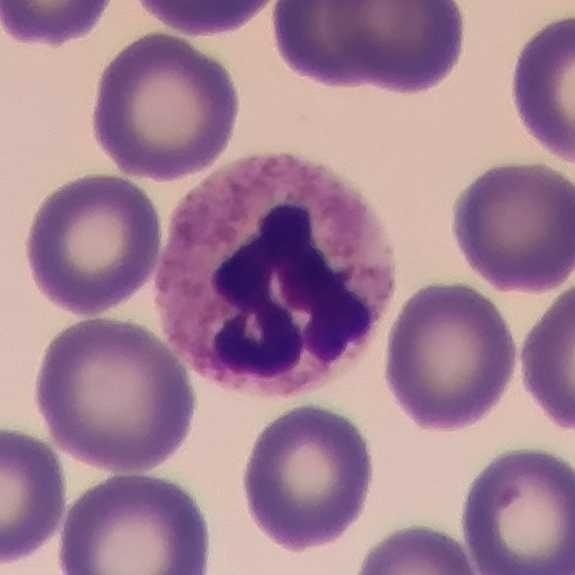 Peripheral blood film; magnification 100×.

Q: Which type of white blood cell is this?
A: Neutrophilic granulocyte.